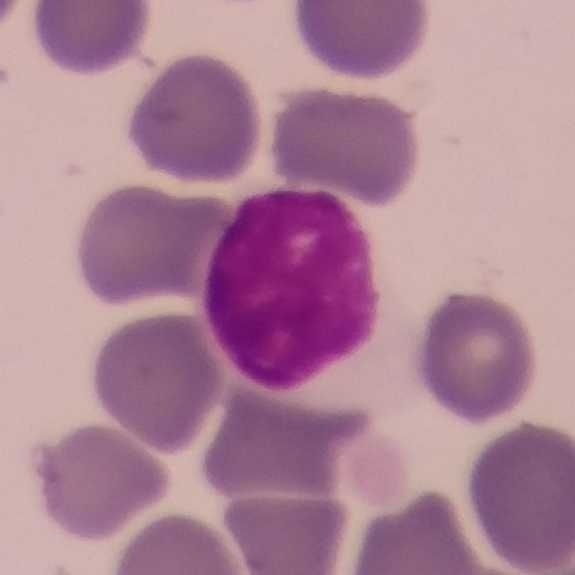

Lymphocyte.